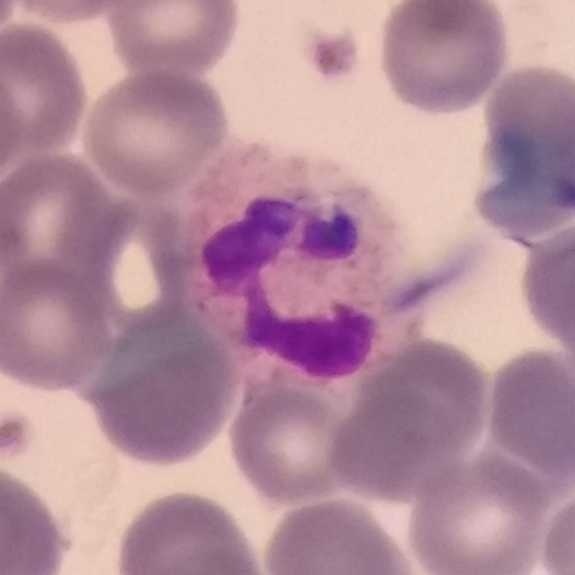

Specimen: peripheral blood smear.
White blood cell type: neutrophilic granulocyte.
Preparation: Magnification 100×; single-cell crop.